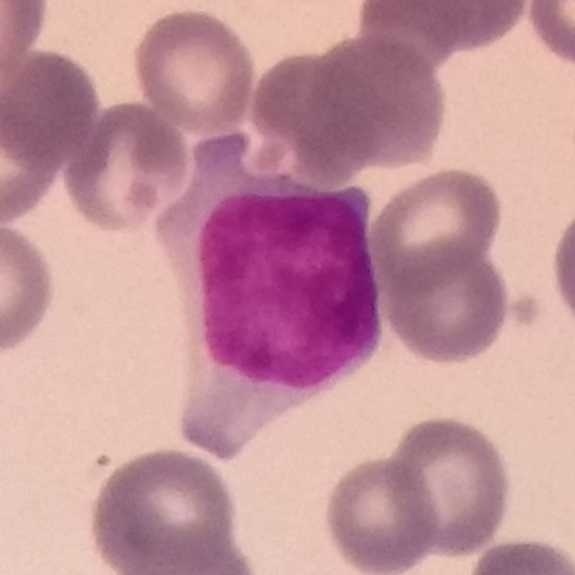The cell shown is a lymphocyte.
Context: 575×575 px · peripheral blood film.